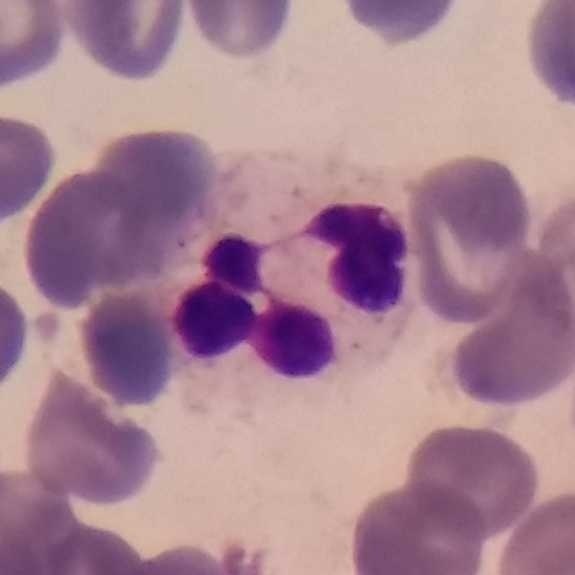 Peripheral blood film, single cell — neutrophil.